575 by 575 pixels. Peripheral blood film. Single-cell field: 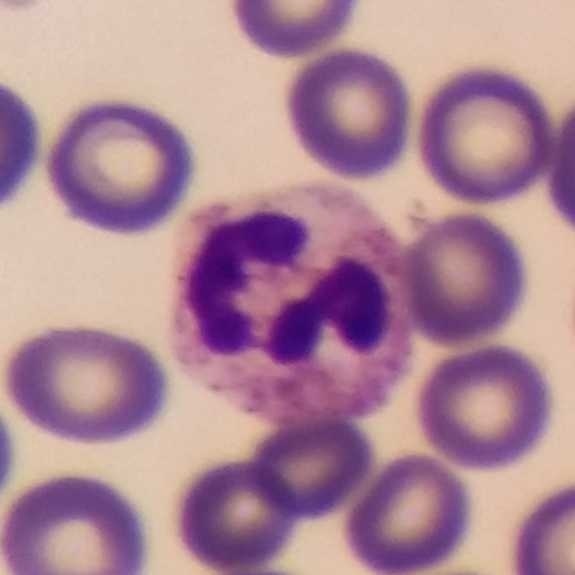
Specimen: peripheral blood film.
Cell type: neutrophil granulocyte.
Lineage: myeloid.